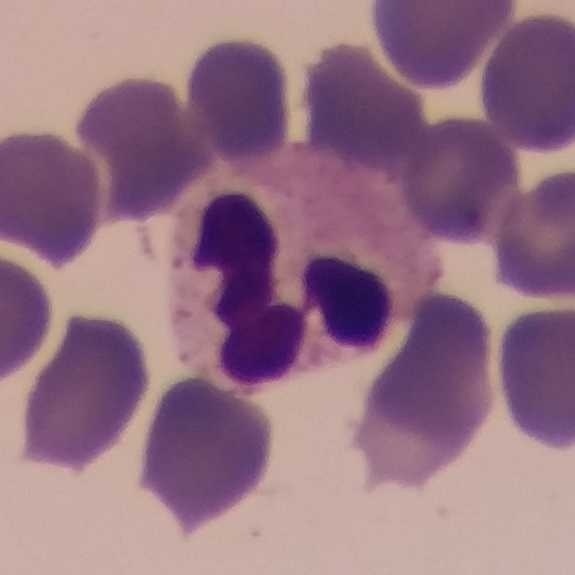The white blood cell type is neutrophil.
Peripheral blood film. Stained with Giemsa.